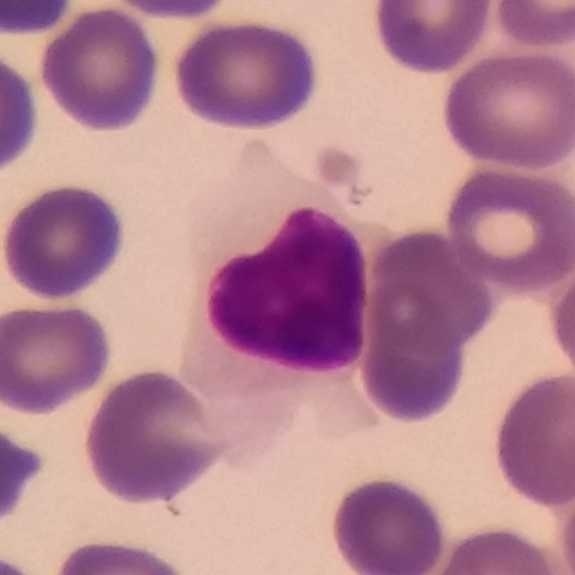 Cell = lymphocyte. Acquisition: Peripheral blood smear; single-cell crop.